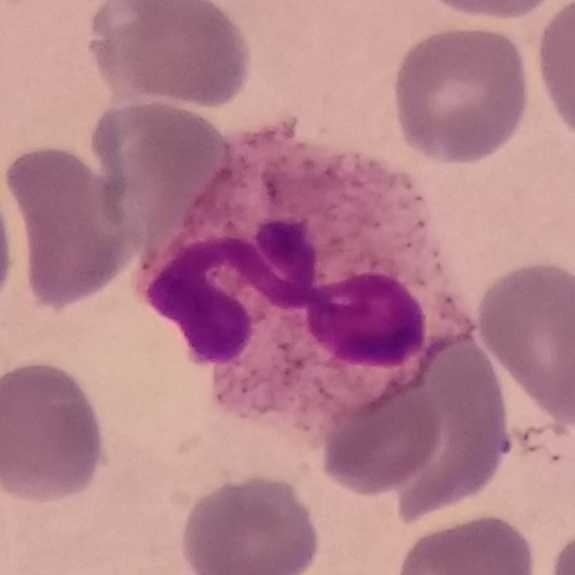
Morphology — neutrophil granulocyte.
Single-cell crop · 575×575 px · peripheral blood smear.